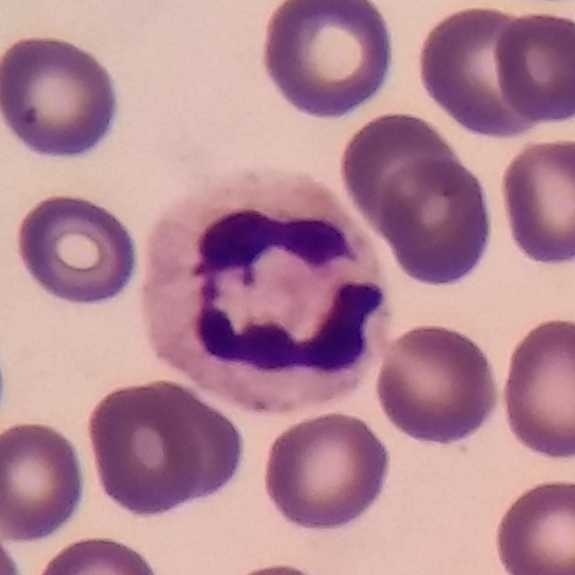 Showing a neutrophilic granulocyte.

Preparation: Peripheral blood smear.